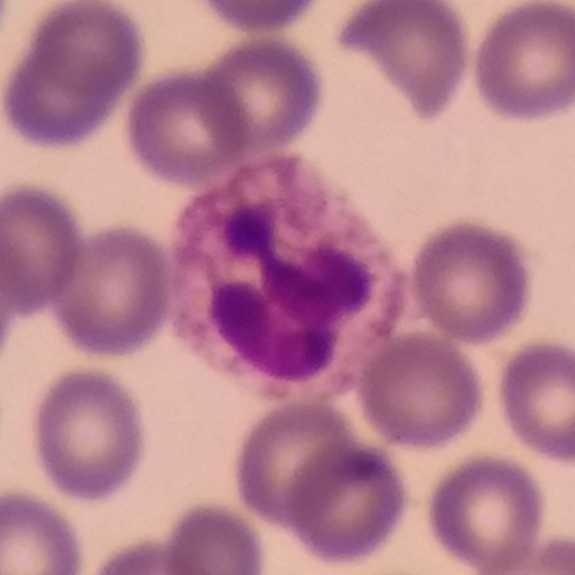

The cell is neutrophil. Preparation: Peripheral blood film.